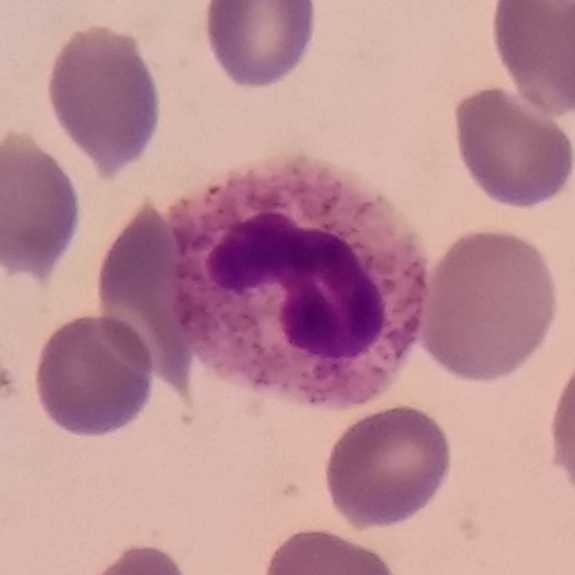 Acquisition: Peripheral blood film. Q: Which type of white blood cell is this?
A: This is a neutrophilic granulocyte.